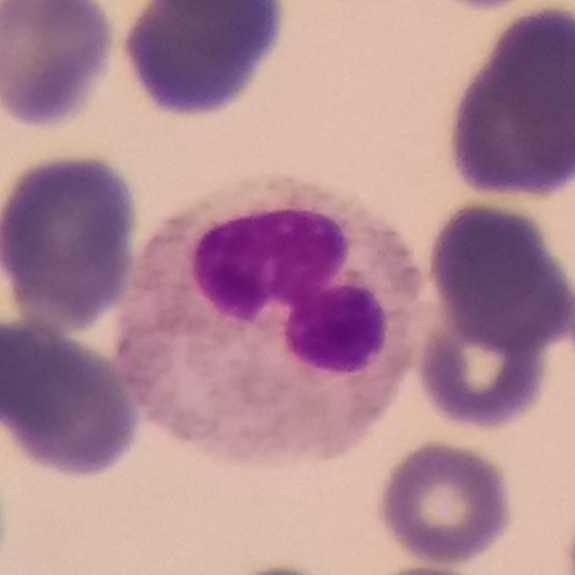Specimen: peripheral blood smear.
Classification: neutrophilic granulocyte.
Lineage: myeloid. 100× magnification.